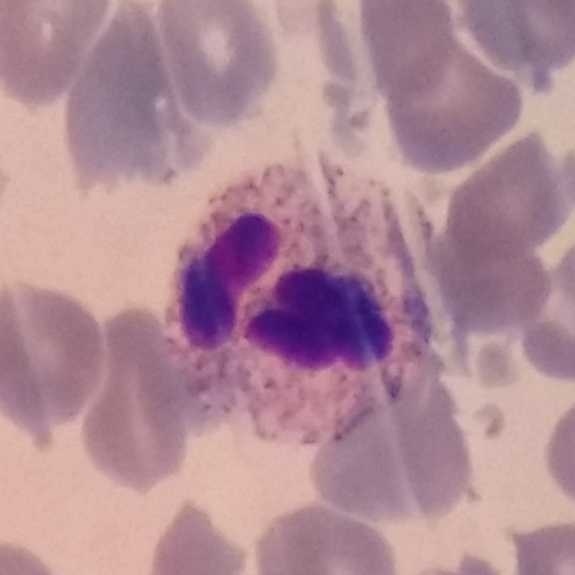 Single cell identified as a neutrophilic granulocyte.

Image: Giemsa stain; peripheral blood film.